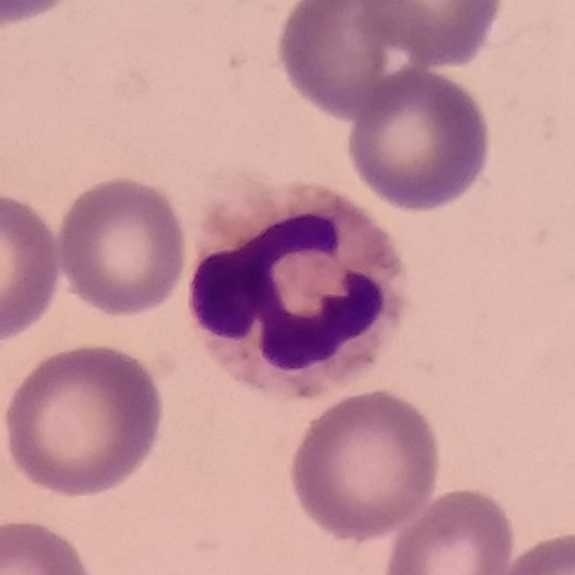Specimen: peripheral blood smear.
Morphological class: neutrophil.
Lineage: myeloid.